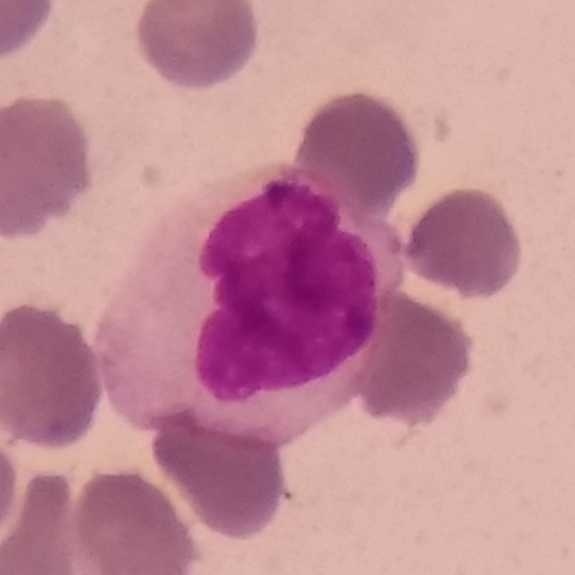
Image: Peripheral blood film. The morphological class is monocyte.